Peripheral blood film.
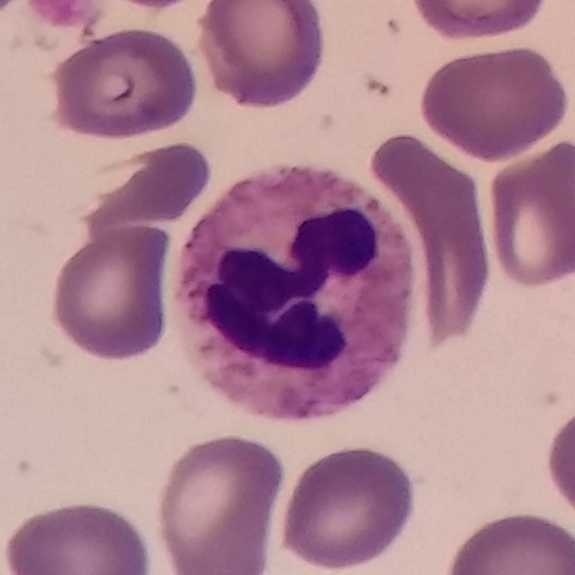 The white blood cell in this image is a neutrophilic granulocyte.